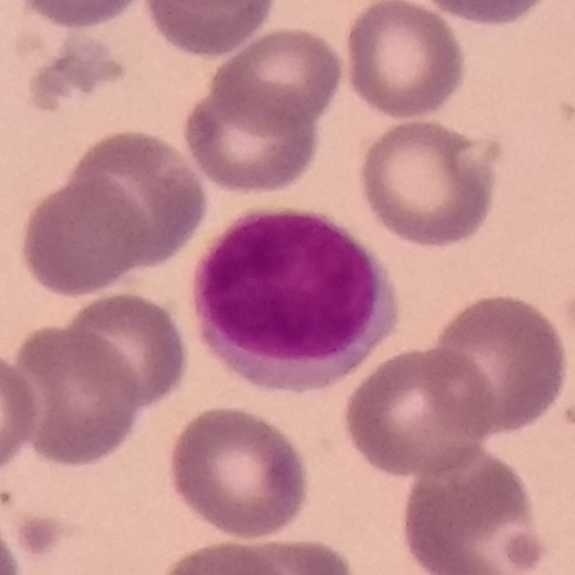 Single white blood cell cropped from the smear photograph · peripheral blood film. The cell shown is a lymphocyte.